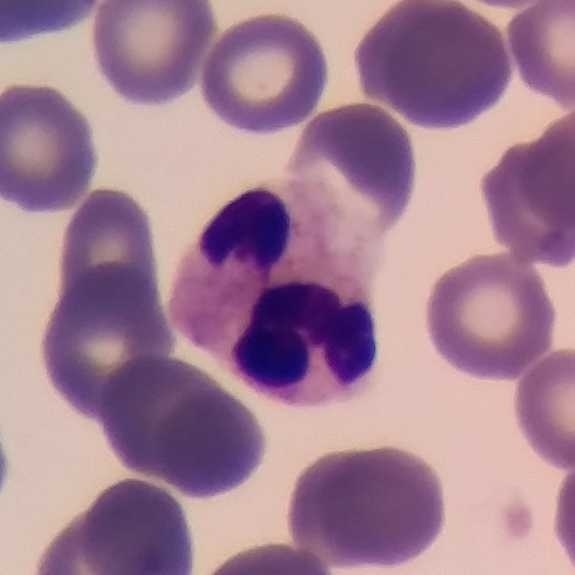

A neutrophilic granulocyte.